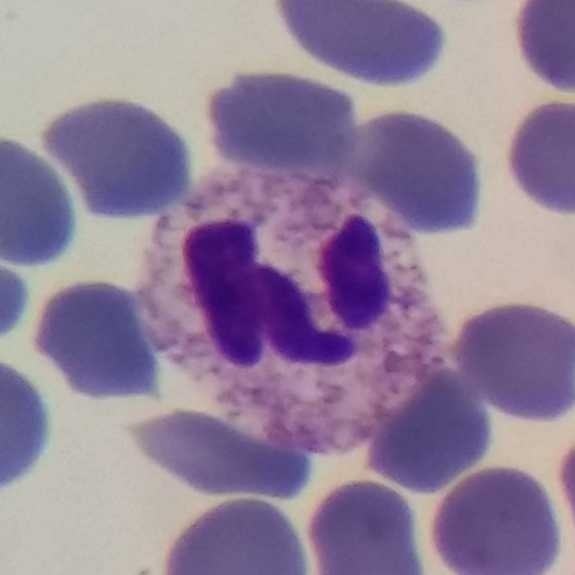

Classification — neutrophilic granulocyte. Context: Peripheral blood film.